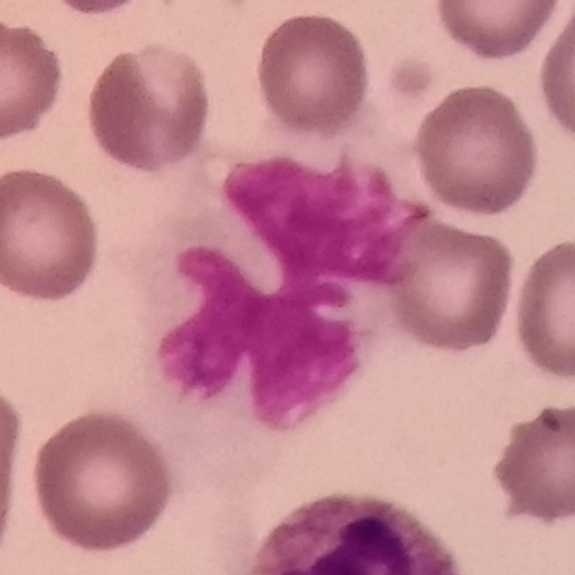Single white blood cell cropped from the smear photograph; peripheral blood film; smartphone camera mounted on the microscope eyepiece.
Morphology consistent with a monocyte.